Peripheral blood smear; single-cell crop; photographed through a light microscope with a smartphone camera
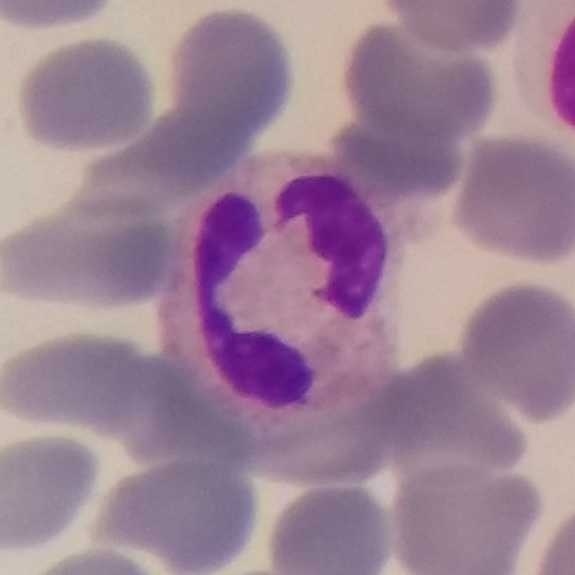Morphology — neutrophilic granulocyte.